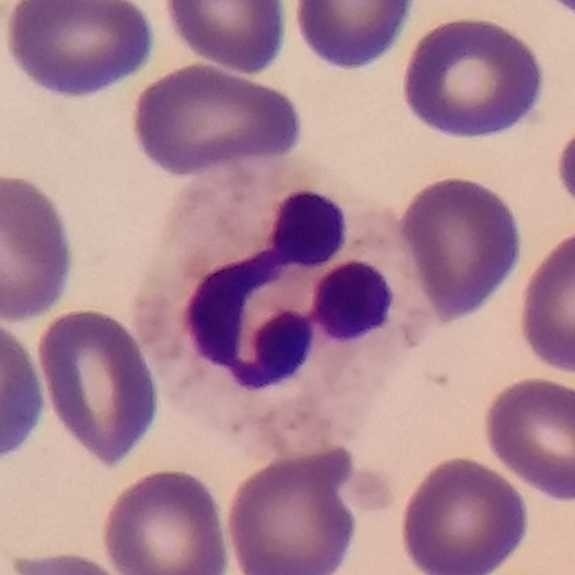

Q: What type of cell is this?
A: This is a neutrophil.